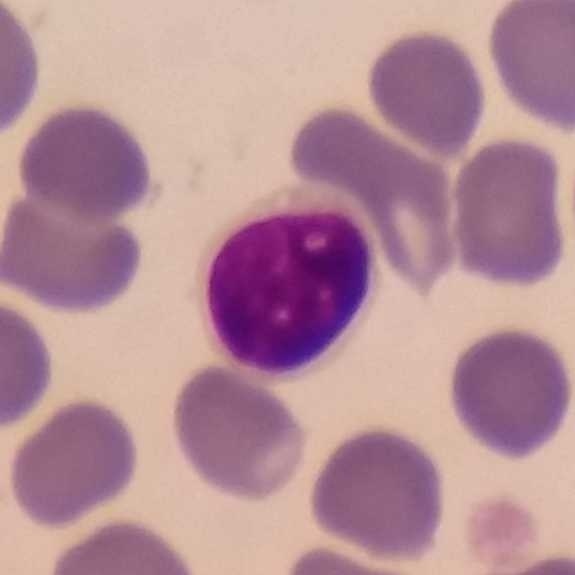

Image: Peripheral blood film.

The cell type is lymphocyte.